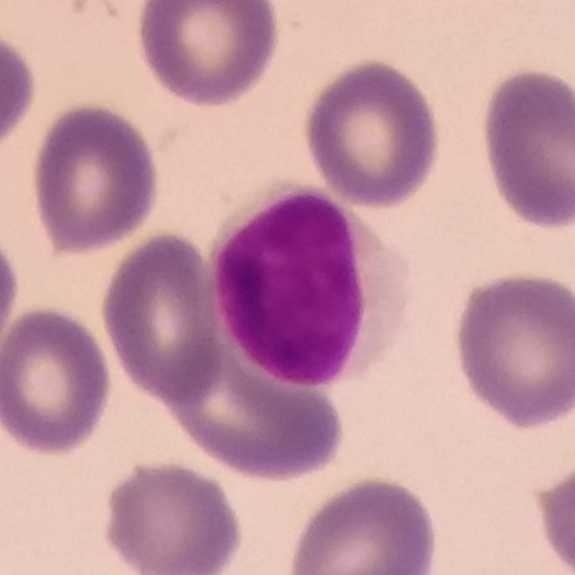 Preparation: Peripheral blood film. The cell shown is a lymphocyte.